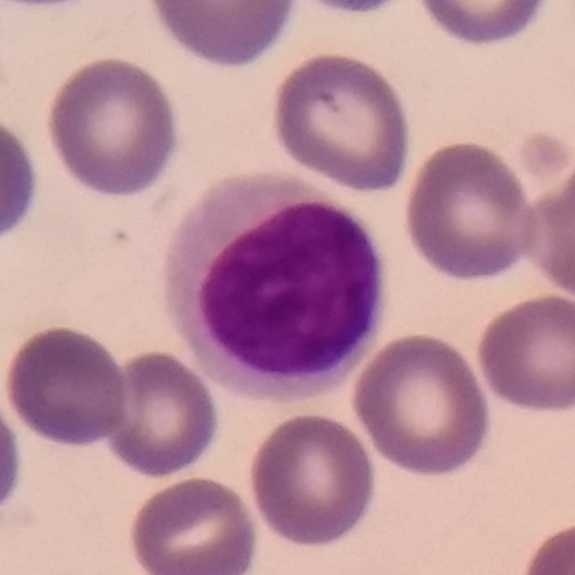

Cell type = lymphocyte. Preparation: Peripheral blood smear.